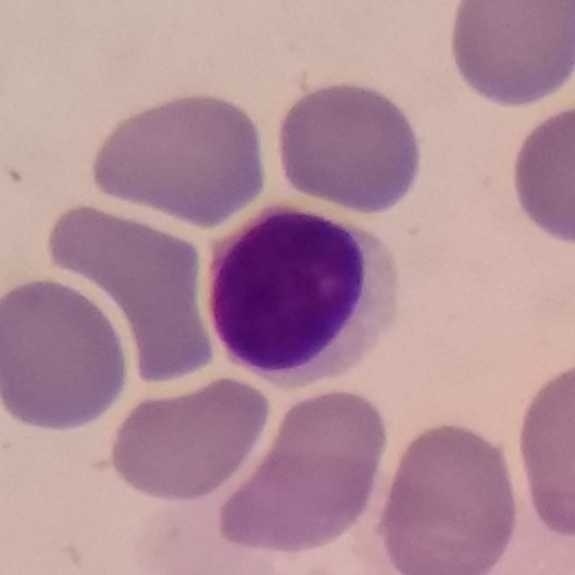Single cell identified as a lymphocyte. Context: Peripheral blood film.